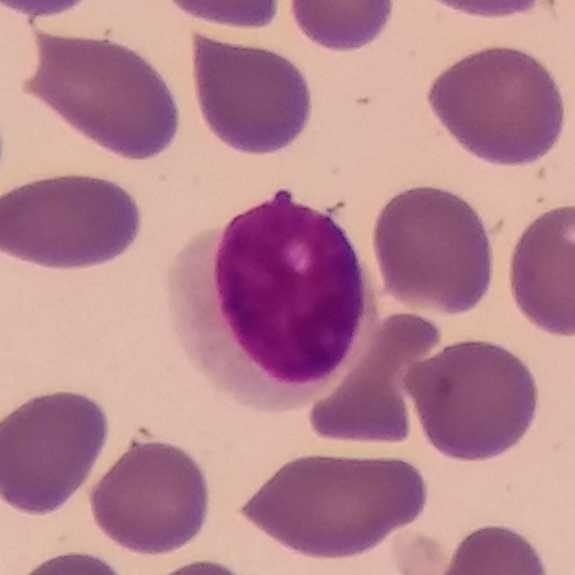

Lymphocyte.